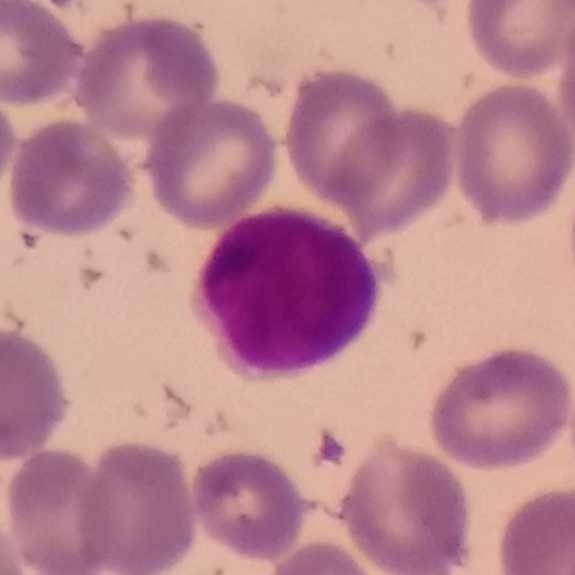

Cell = lymphocyte.